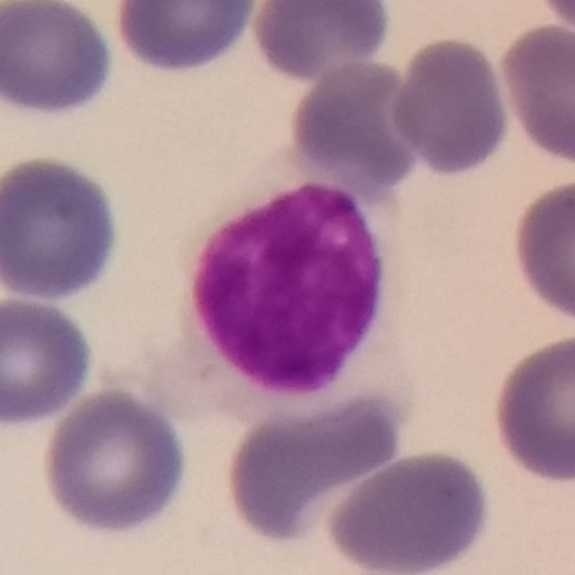White blood cell type = lymphocyte. Peripheral blood smear.